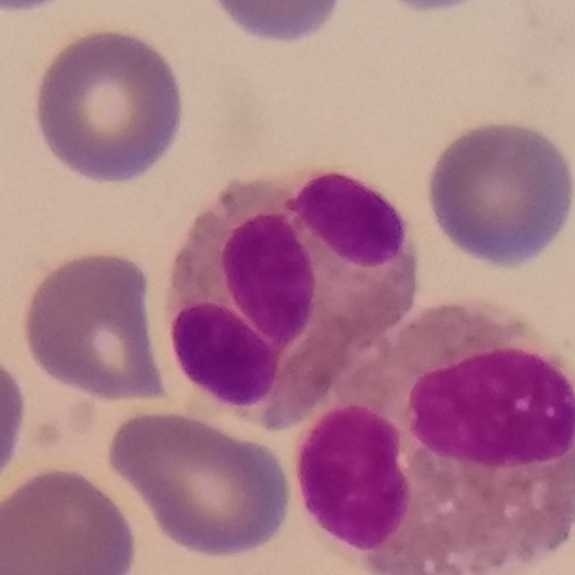

Eosinophil.